Peripheral blood smear
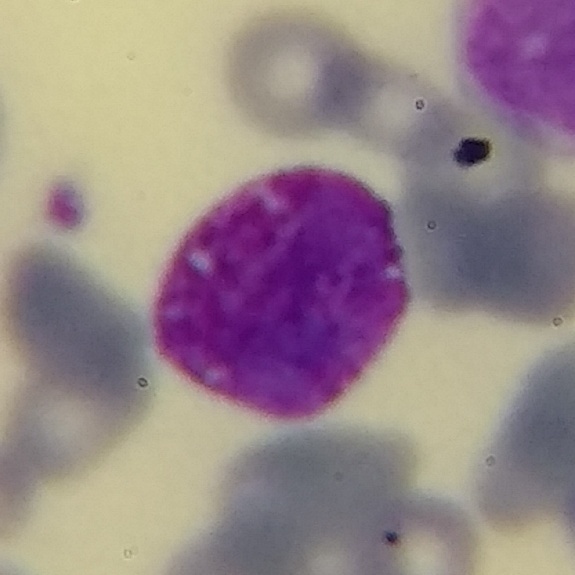 Q: What is this?
A: This is a basophil.